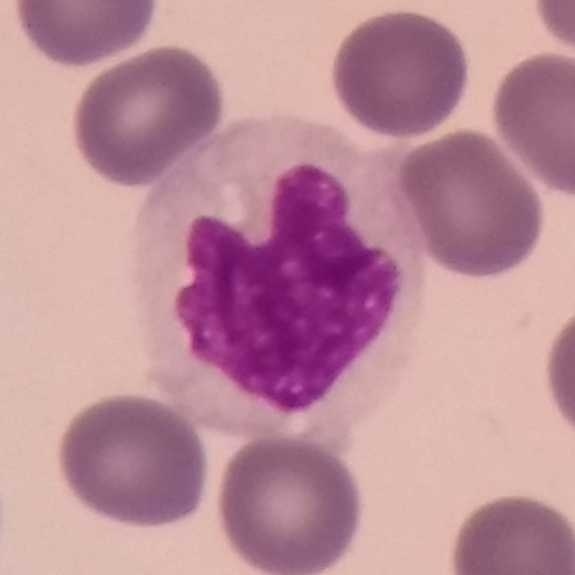 Cell type: monocyte.